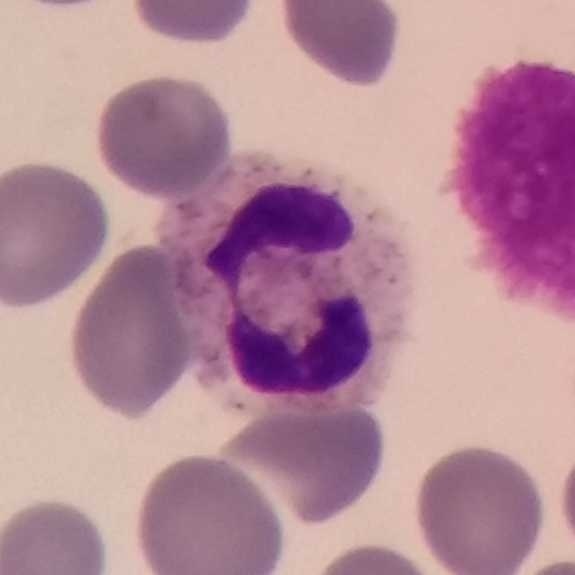

A neutrophilic granulocyte.